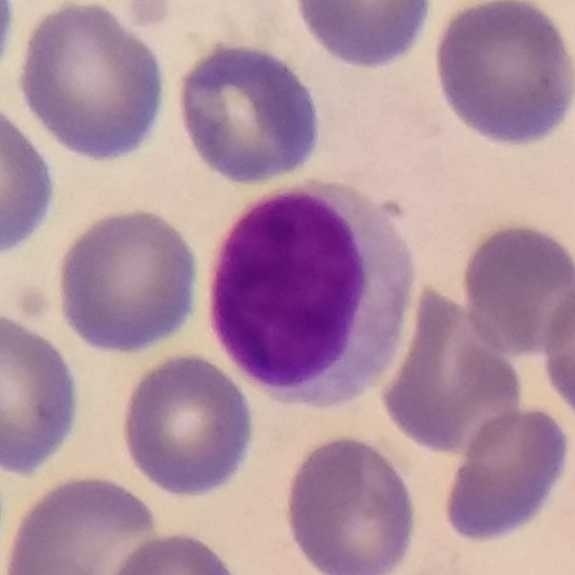 Classification — lymphocyte.

Context: Peripheral blood smear. 575×575. Imaged at 100×.